Smartphone photomicrograph; peripheral blood film:
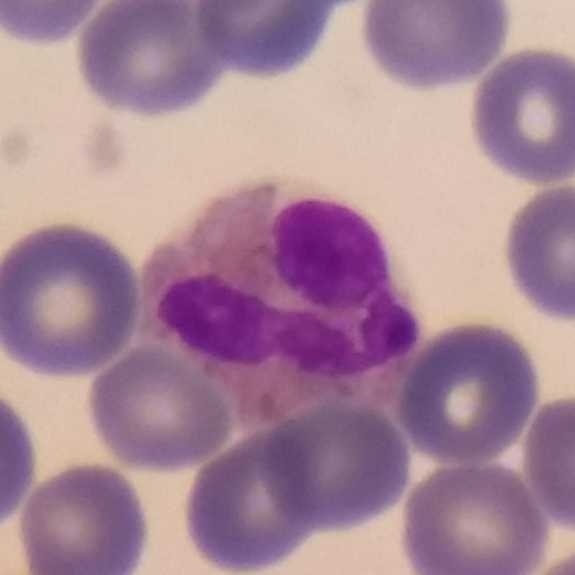
Morphological class — eosinophil.